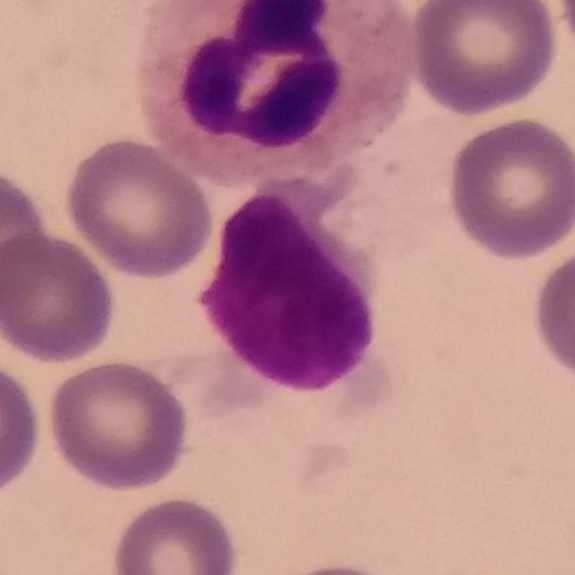
Image: Peripheral blood film; Giemsa-stained.
Q: Identify the cell.
A: Lymphocyte.